Cropped to one leukocyte; 575 by 575 pixels; peripheral blood smear — 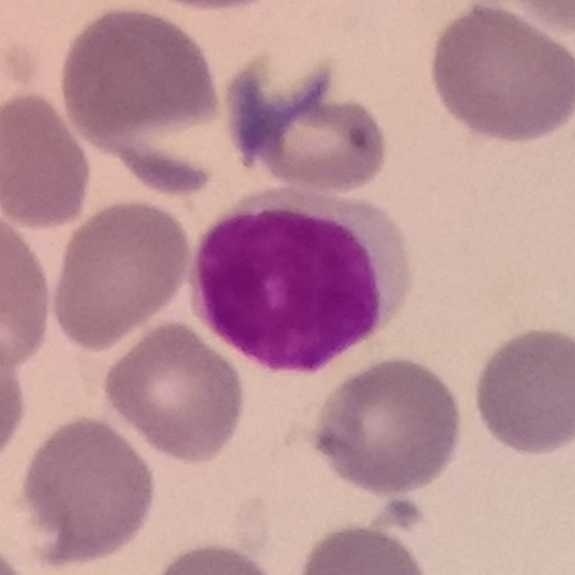 Q: What cell is this?
A: Lymphocyte.